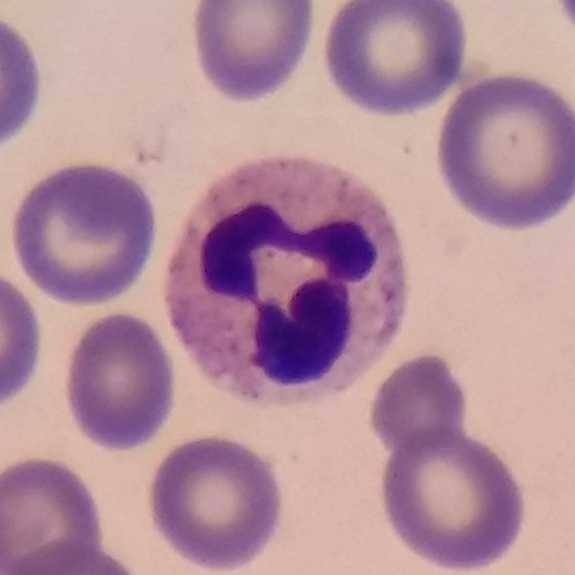 This is a neutrophilic granulocyte.